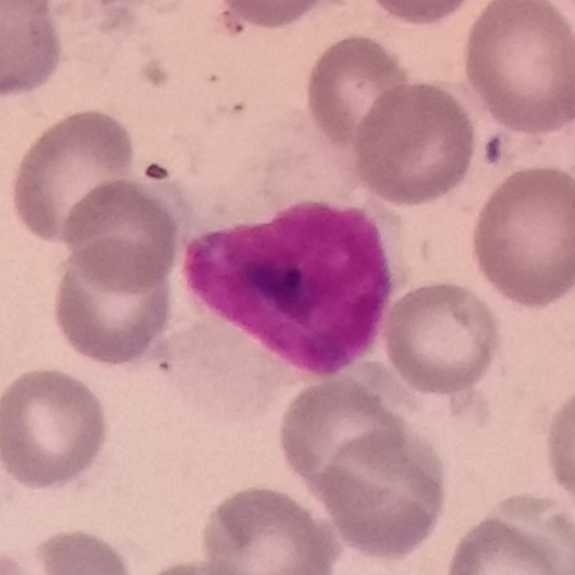 {"cell_type": "lymphocyte", "lineage": "lymphoid"}

Peripheral blood film; image size 575×575.